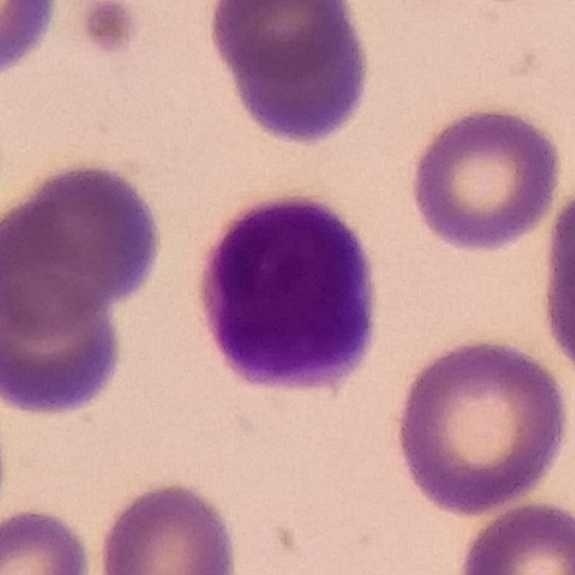
The cell is lymphocyte.

Context: Peripheral blood smear.